Peripheral blood smear: 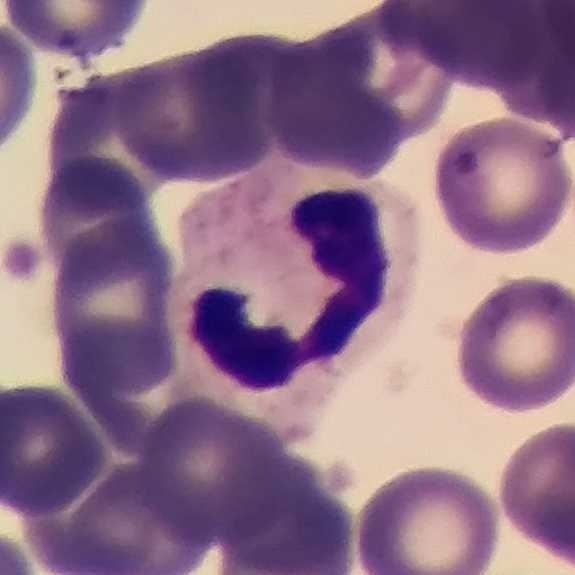 Cell type = neutrophil.